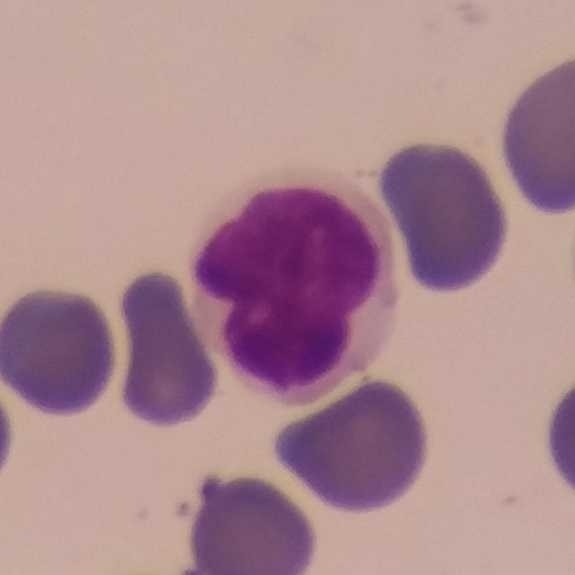 The white blood cell in this image is a lymphocyte.
Preparation: Peripheral blood film.